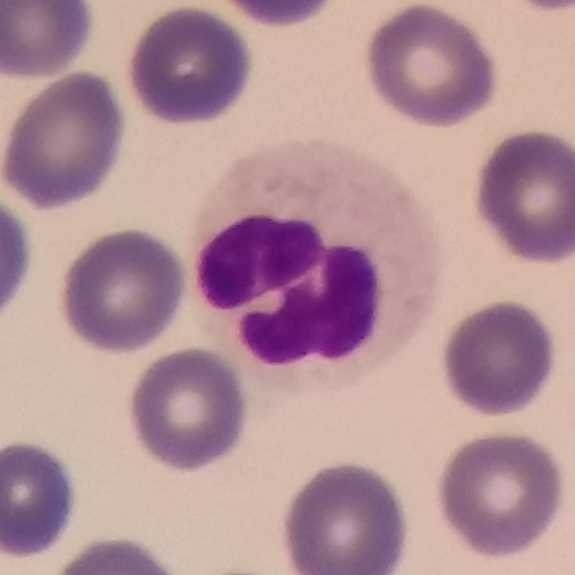
White blood cell type = neutrophil.